Peripheral blood smear.
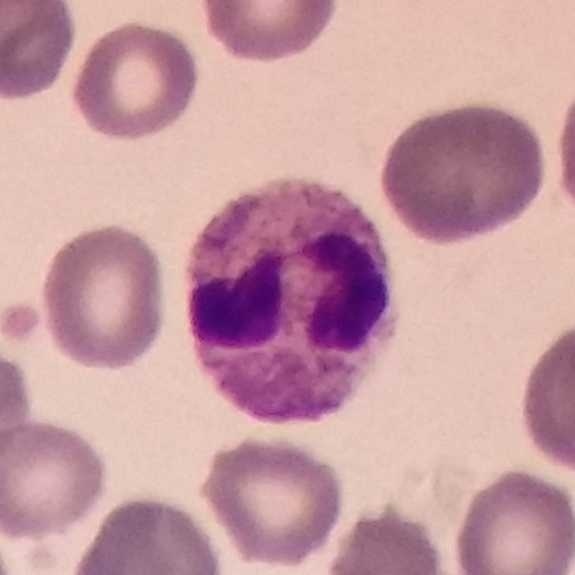
Specimen: peripheral blood smear.
Classification: neutrophil granulocyte.